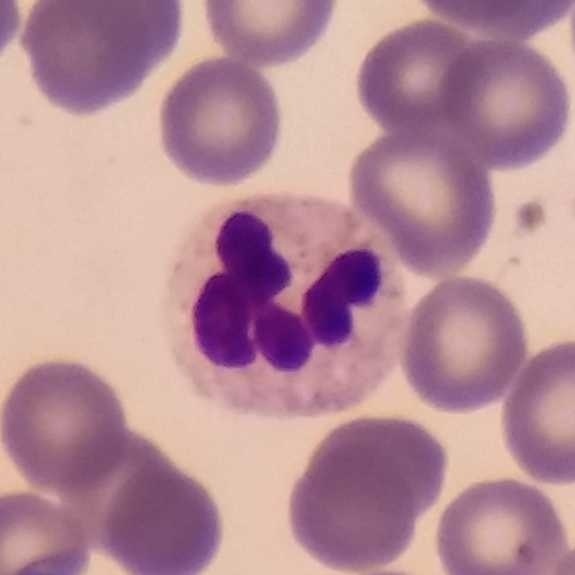

The cell shown is a neutrophil.
Acquisition: Peripheral blood film. Imaged at 100×.